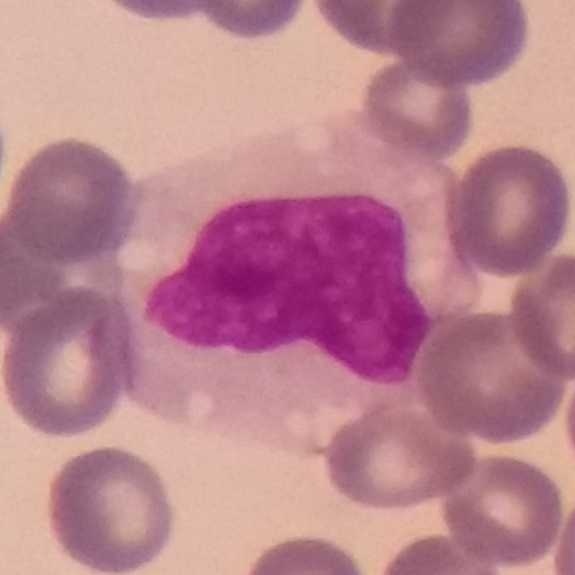

Single cell identified as a monocyte.
Peripheral blood smear.